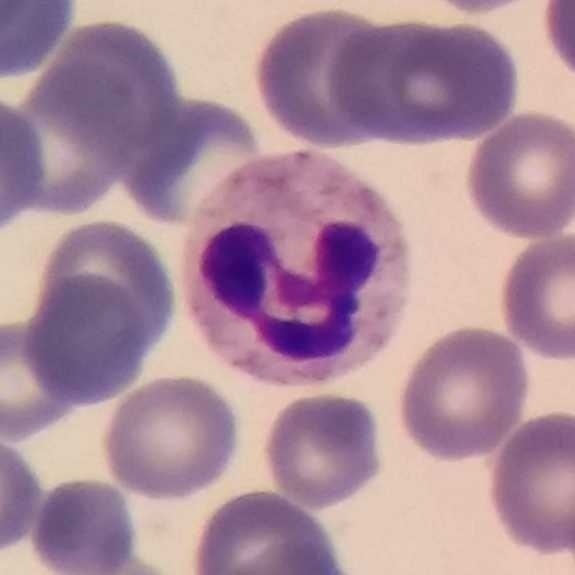A neutrophil on a peripheral blood smear.